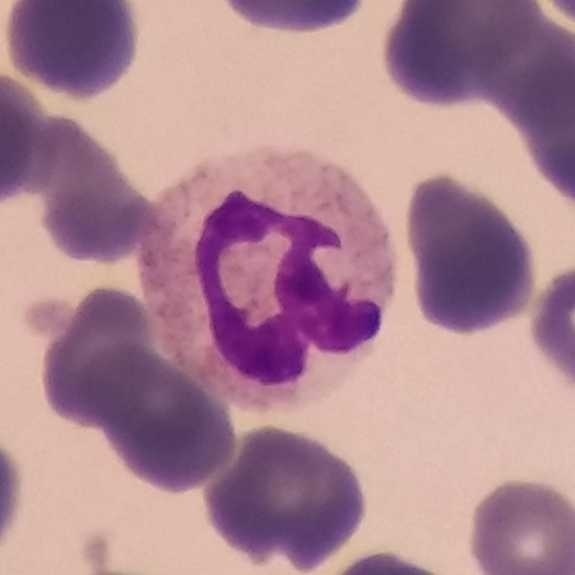Image: Peripheral blood film. A neutrophil granulocyte.